100× magnification; peripheral blood film
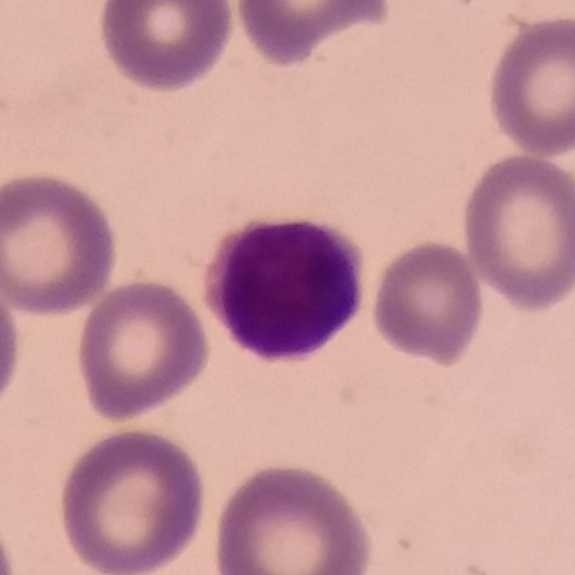
Q: What is shown here?
A: This is a lymphocyte.